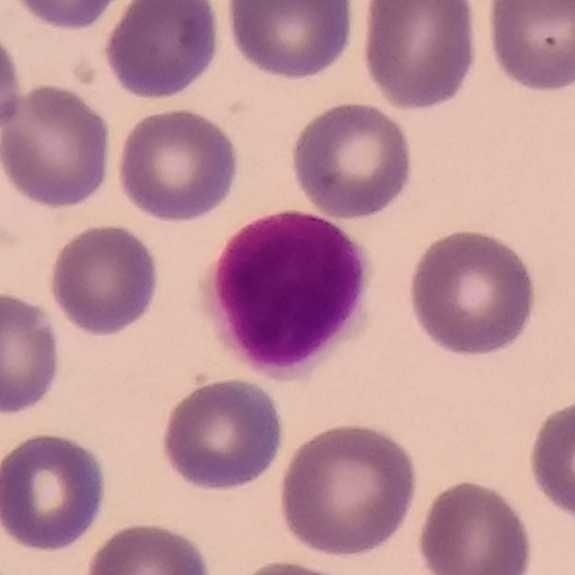 Context: Peripheral blood smear; Giemsa-stained. The cell shown is a lymphocyte.